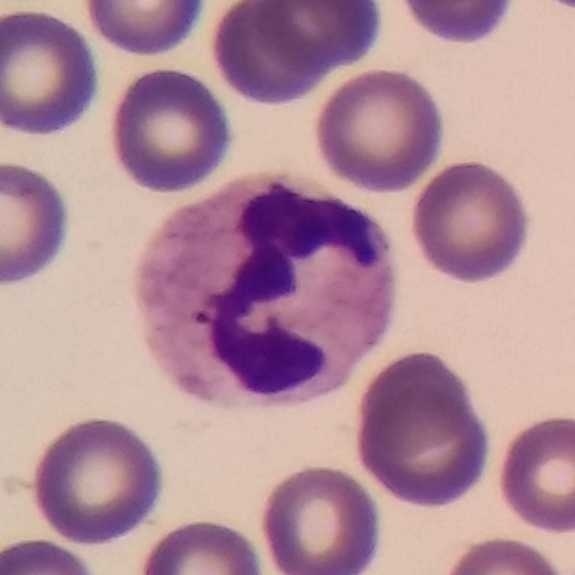
Preparation: Giemsa-stained.

Specimen: peripheral blood film.
Cell: neutrophilic granulocyte.
Lineage: myeloid.